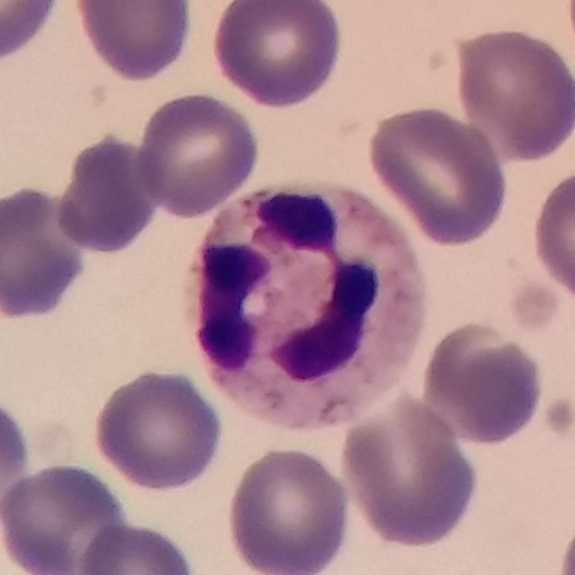{"cell_type": "neutrophil"}